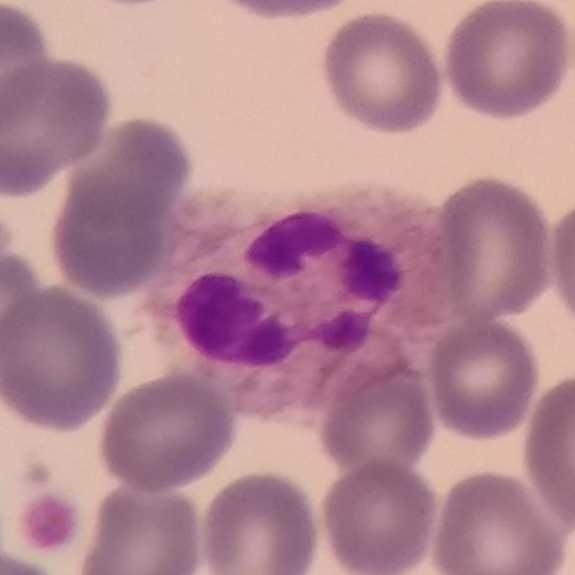

A neutrophil. 575×575 px; peripheral blood smear; Giemsa-stained.